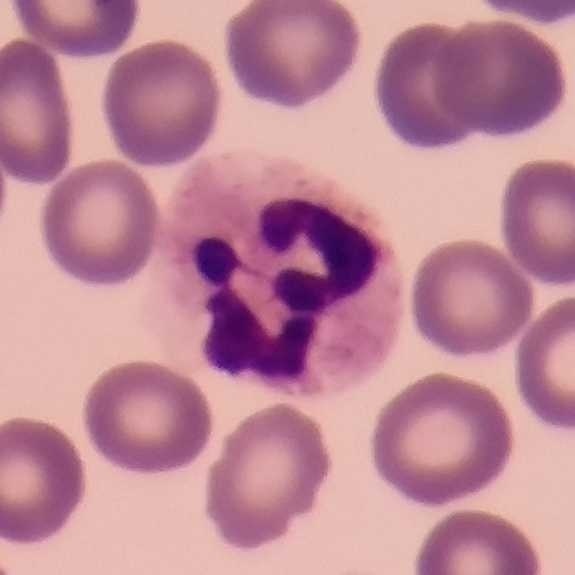 Identified as a neutrophil.